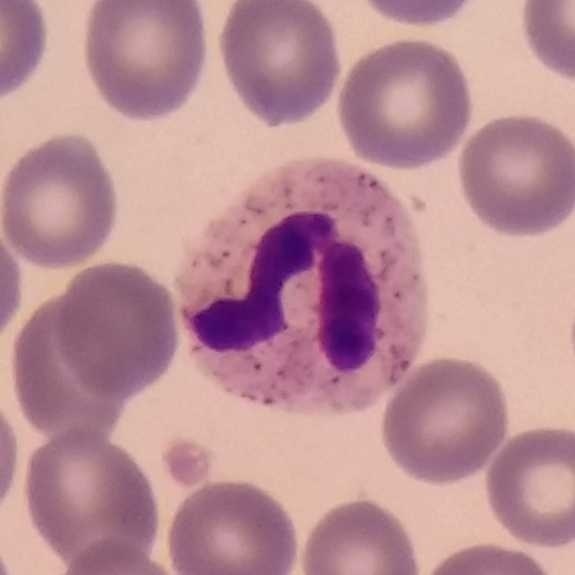Peripheral blood film · cropped to one leukocyte. Cell — neutrophilic granulocyte.